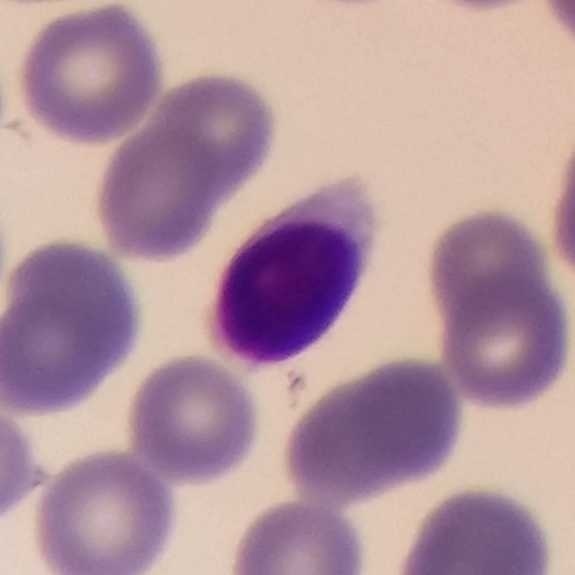
Showing a lymphocyte.